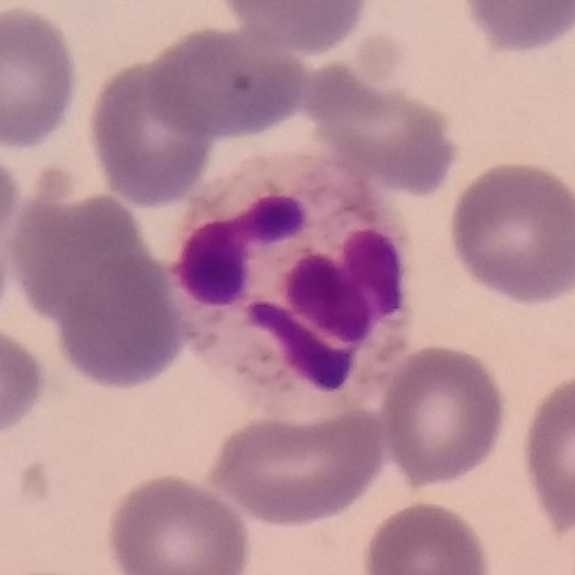

A neutrophil granulocyte on a peripheral blood smear.